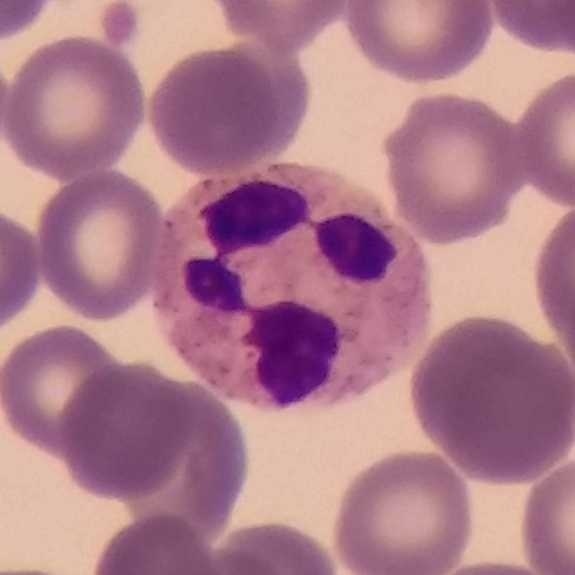Q: Which type of white blood cell is this?
A: This is a neutrophil.